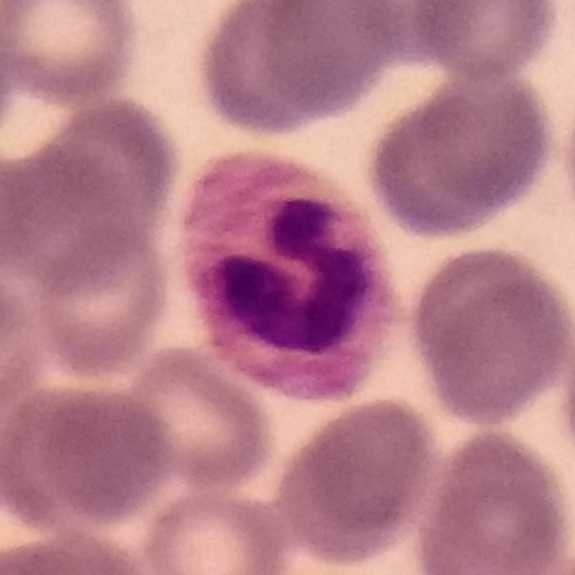
Preparation: Peripheral blood smear. Single cell identified as a neutrophilic granulocyte.